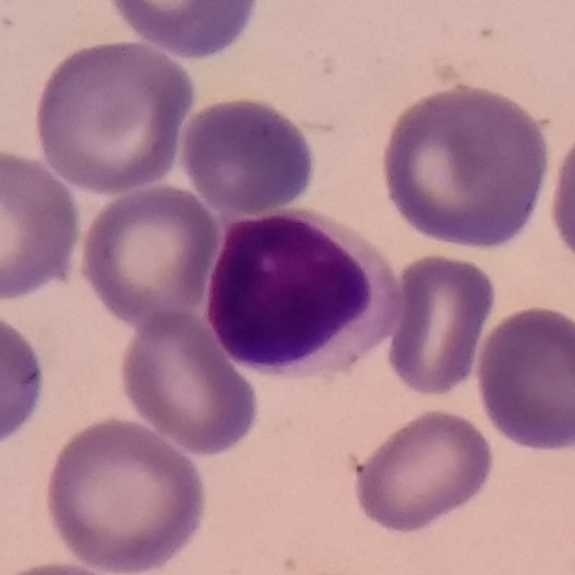
The white blood cell in this image is a lymphocyte.

Smartphone photomicrograph. Stained with Giemsa. Peripheral blood smear.